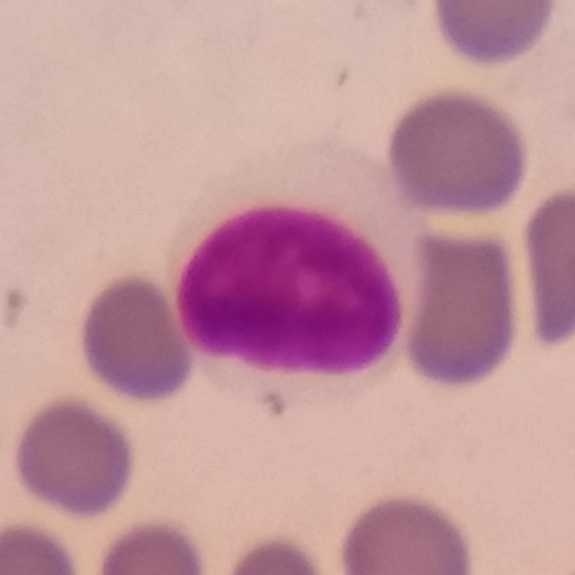
Image: Peripheral blood film.

The morphological class is lymphocyte.